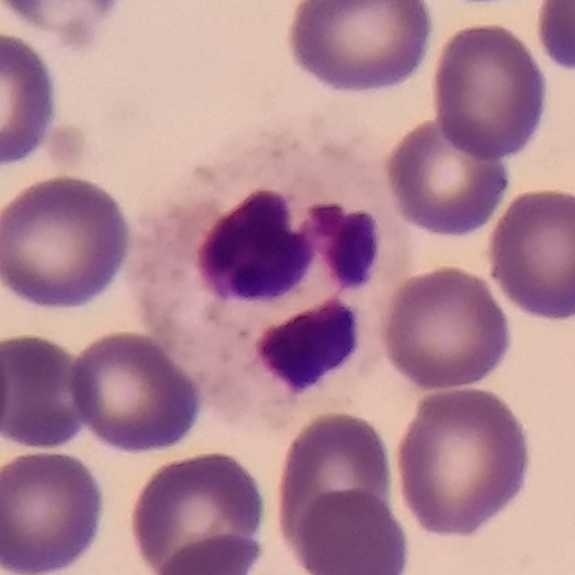 Peripheral blood film.
Q: Which type of white blood cell is this?
A: It is a neutrophil.